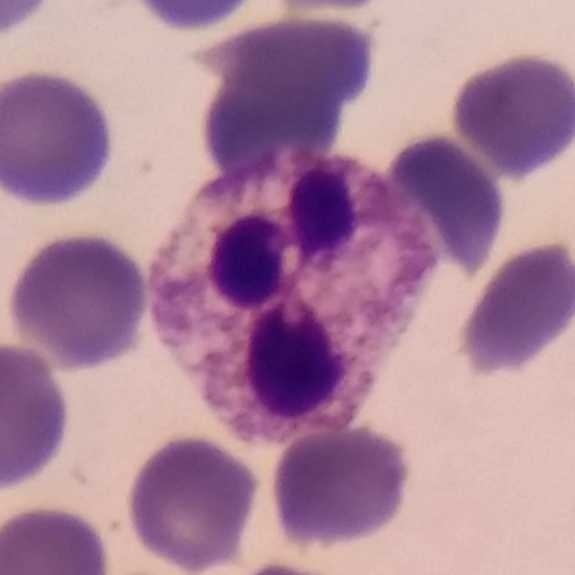

Morphology consistent with a neutrophil granulocyte.
Peripheral blood smear.